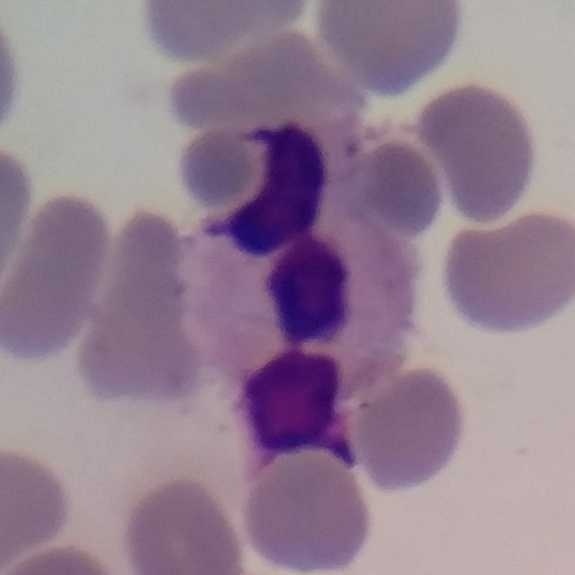The cell shown is a neutrophil granulocyte.
Preparation: Peripheral blood film; 575 by 575 pixels; Giemsa-stained.